Peripheral blood film · single-cell crop.
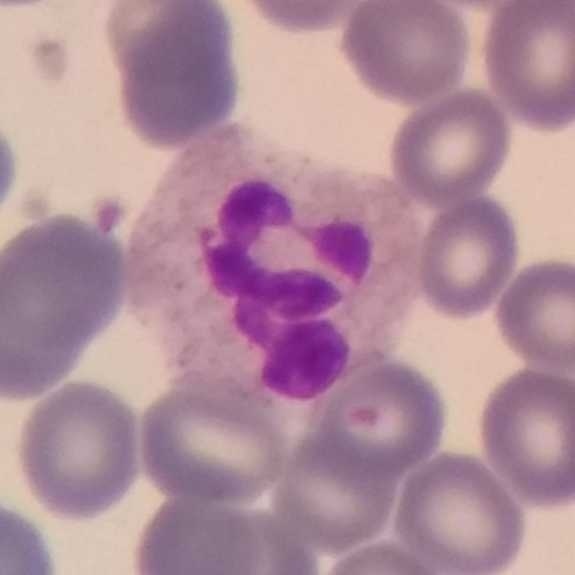 The white blood cell type is neutrophil.